575×575 · peripheral blood smear · single white blood cell cropped from the smear photograph:
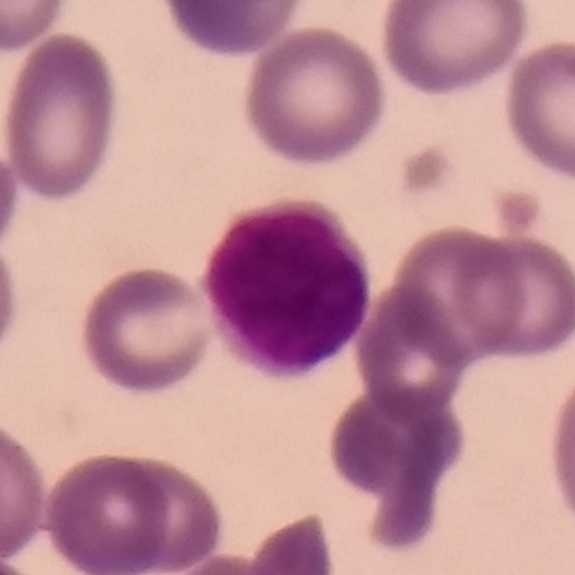
The white blood cell type is lymphocyte.